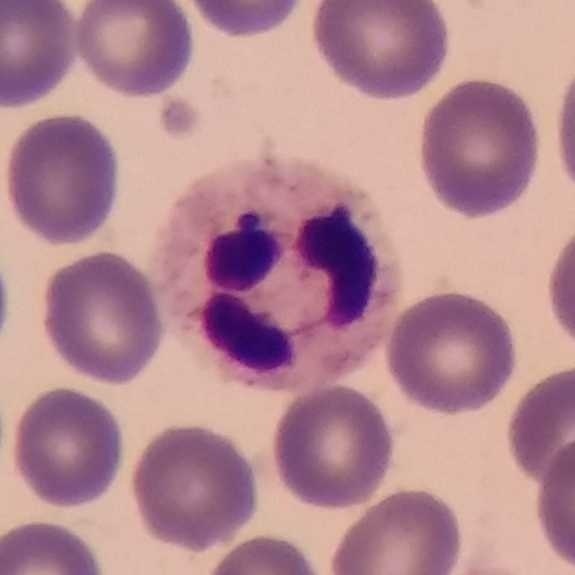

Specimen: peripheral blood film.
Cell type: neutrophilic granulocyte.
Lineage: myeloid.